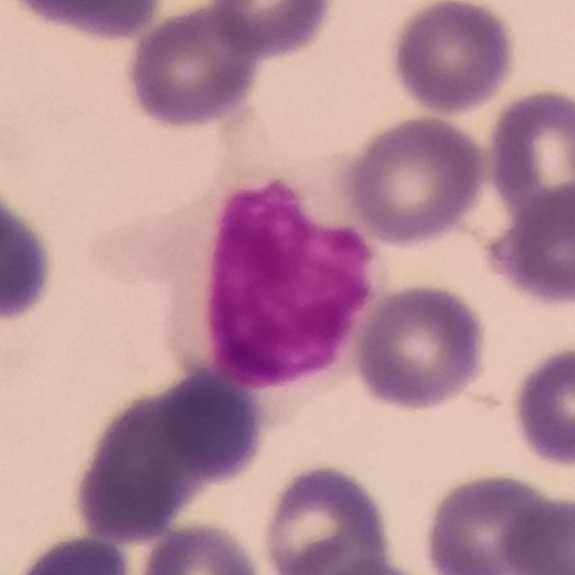
Q: Classify this leukocyte.
A: Lymphocyte.

Peripheral blood film; stained with Giemsa.